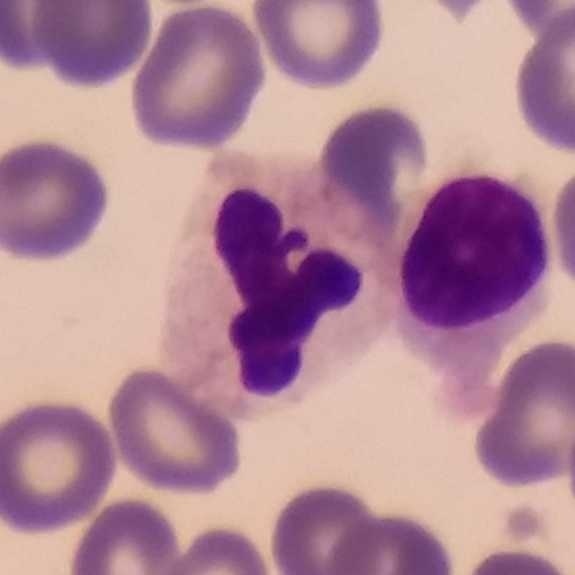

Context: Peripheral blood film.

The classification is neutrophil granulocyte.